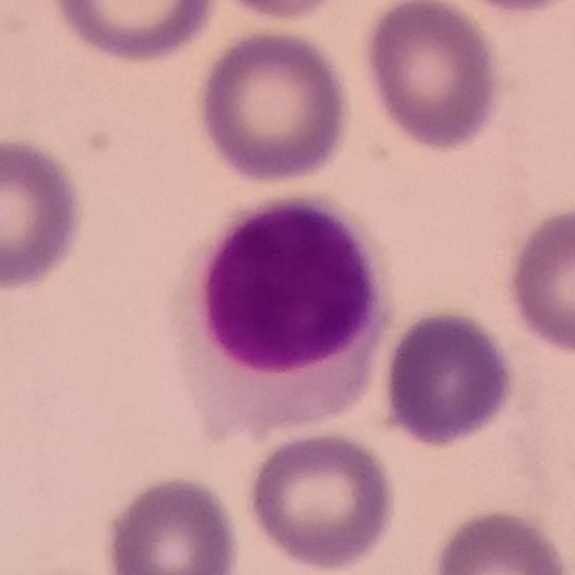The morphological class is lymphocyte.